Imaged at 100× · peripheral blood film — 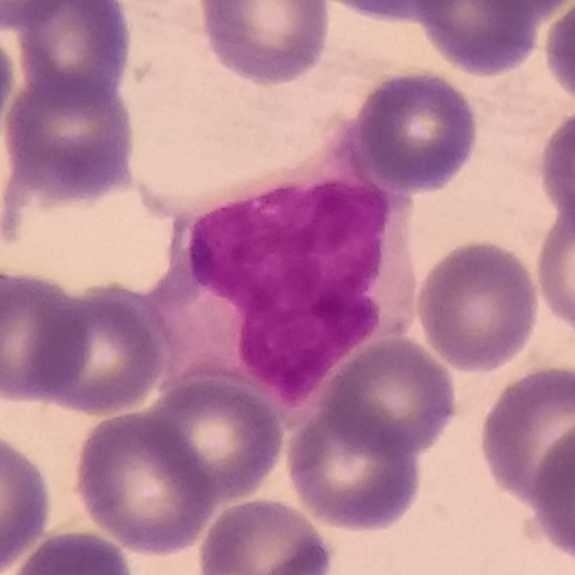

The white blood cell type is monocyte.